Peripheral blood smear:
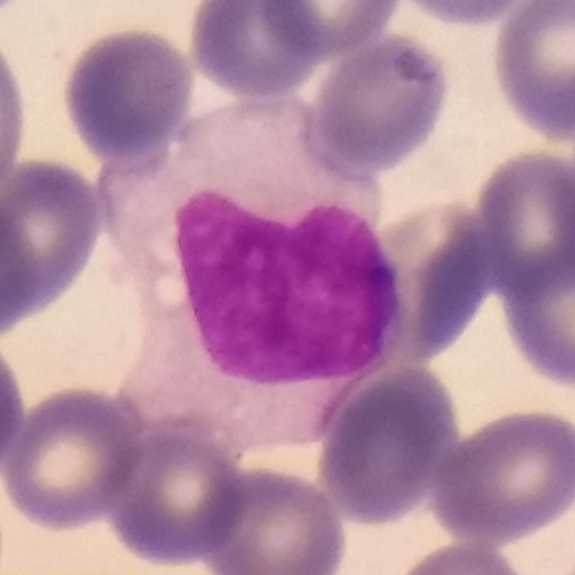Q: What cell is this?
A: This is a monocyte.